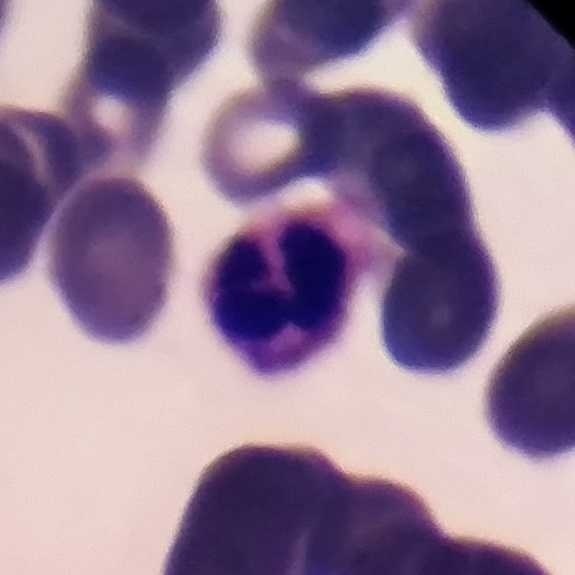

Acquisition: Peripheral blood film.

Impression — neutrophil.